Peripheral blood film
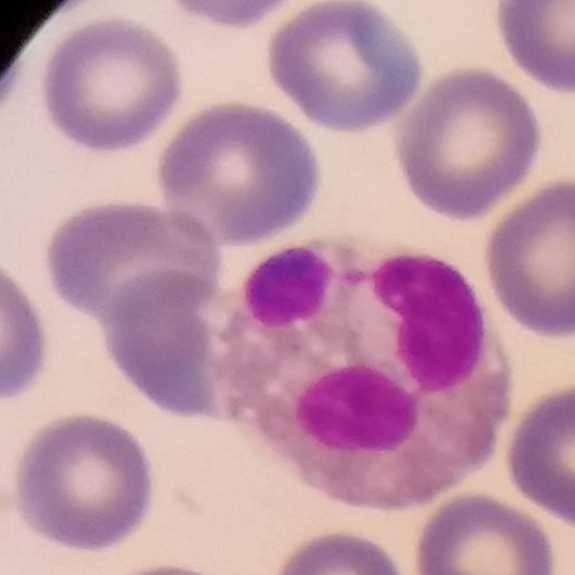

Morphology → eosinophilic granulocyte.